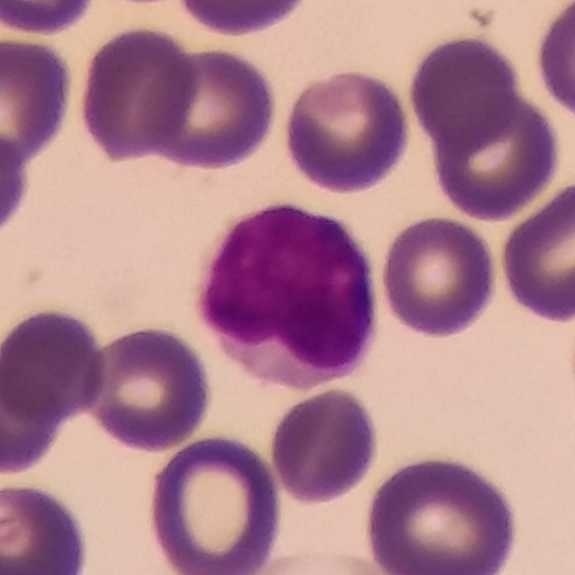 Lymphocyte.
Peripheral blood smear. Smartphone photomicrograph. Single-cell crop.